Imaged at 100×; peripheral blood smear:
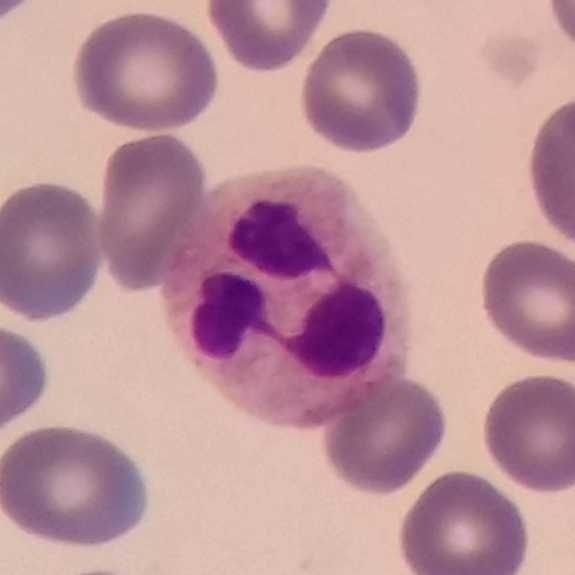
Identified as a neutrophil granulocyte.